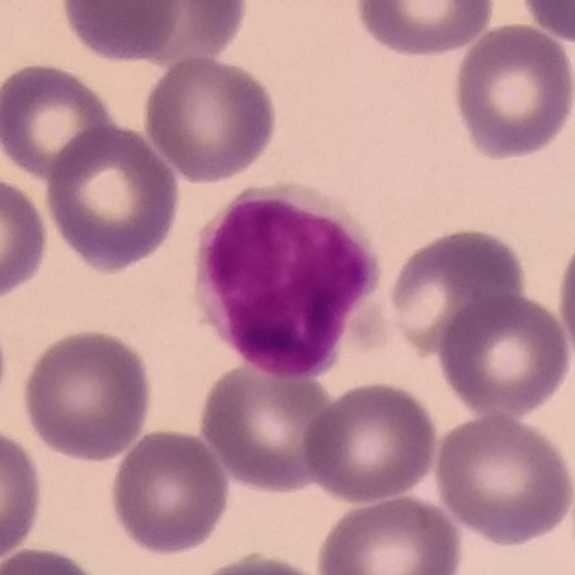 The white blood cell in this image is a lymphocyte.